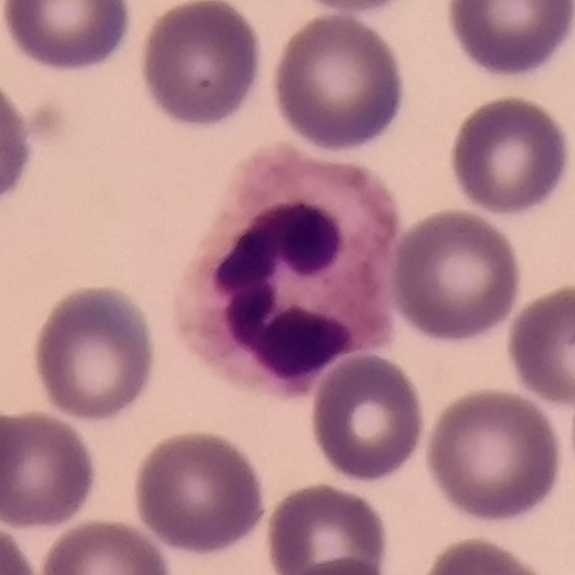 Context: Peripheral blood film; single white blood cell cropped from the smear photograph.

Neutrophil.